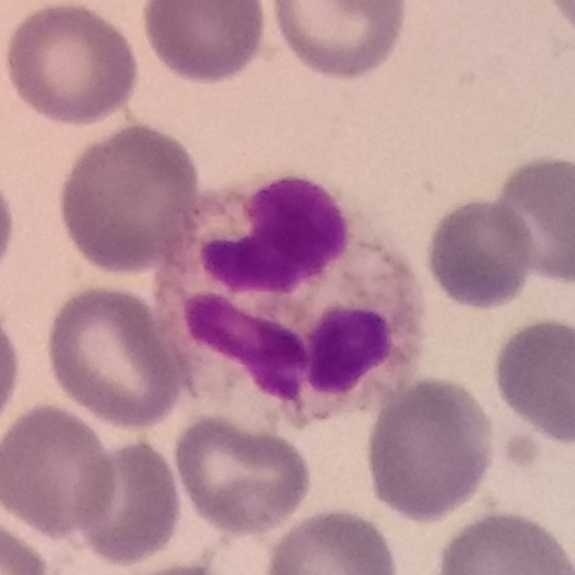 Q: Which cell type is shown here?
A: A neutrophilic granulocyte.
Peripheral blood smear.